Peripheral blood film:
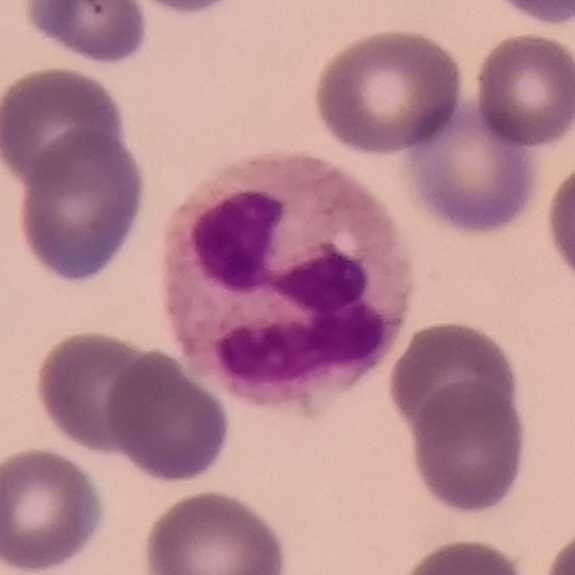

Identified as a neutrophil.